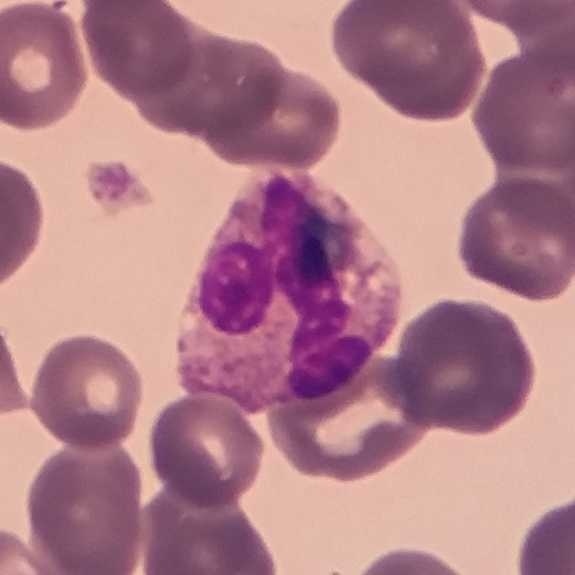Cell: neutrophil granulocyte.